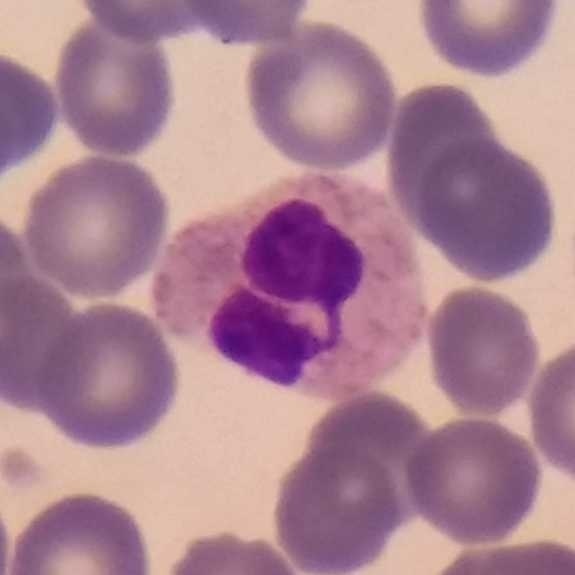Specimen: peripheral blood smear.
Cell: neutrophilic granulocyte.
Lineage: myeloid.
Phone-camera image taken through the microscope ocular.